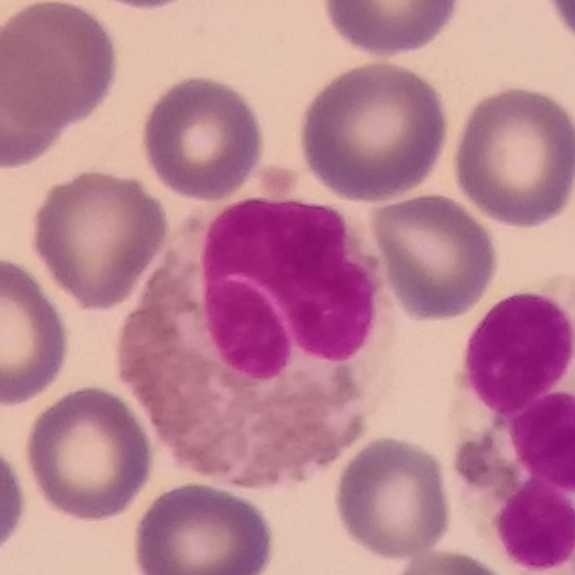
Peripheral blood smear. Morphology → eosinophil.